575×575. Peripheral blood smear — 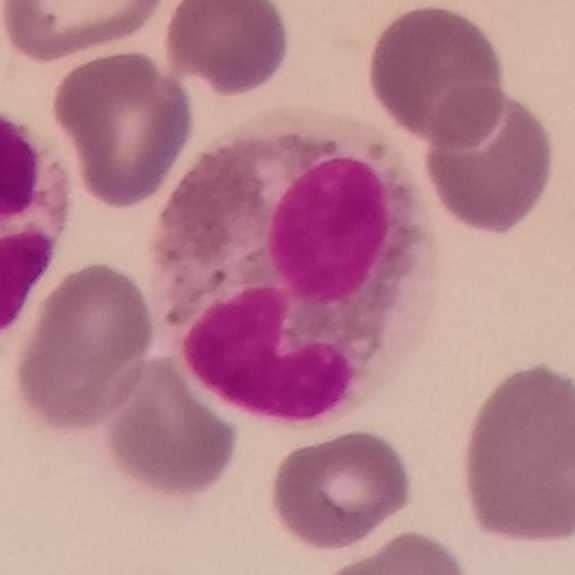
Morphological class = eosinophilic granulocyte.